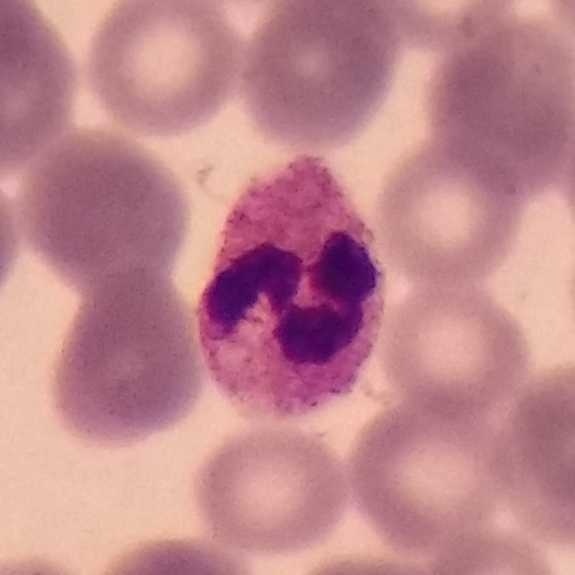
Peripheral blood film · Giemsa-stained · 575×575 px.
Q: What is shown here?
A: It is a neutrophil.